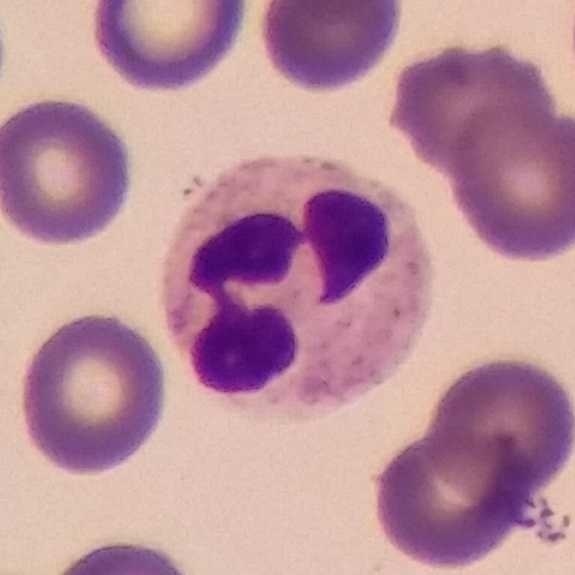

Identified as a neutrophilic granulocyte.